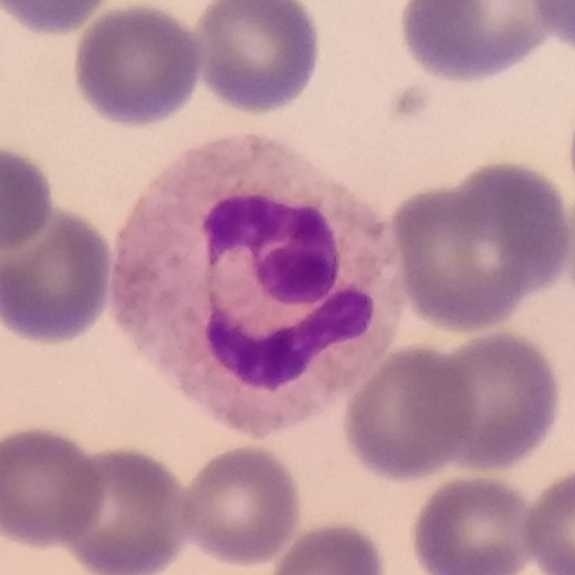Peripheral blood smear.
Showing a neutrophil granulocyte.